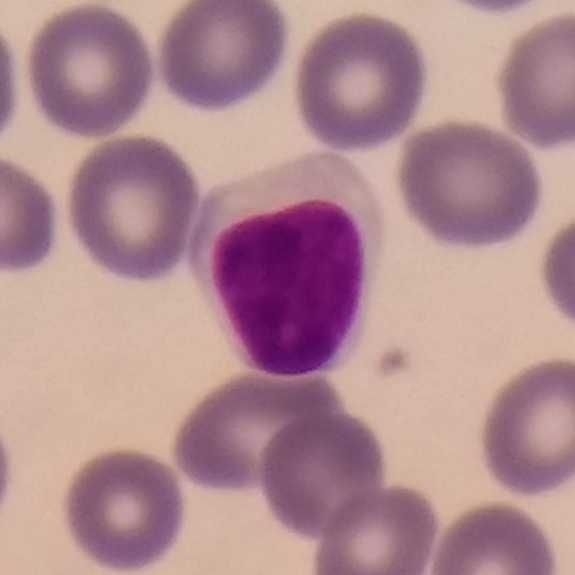Impression — lymphocyte.
Peripheral blood smear.